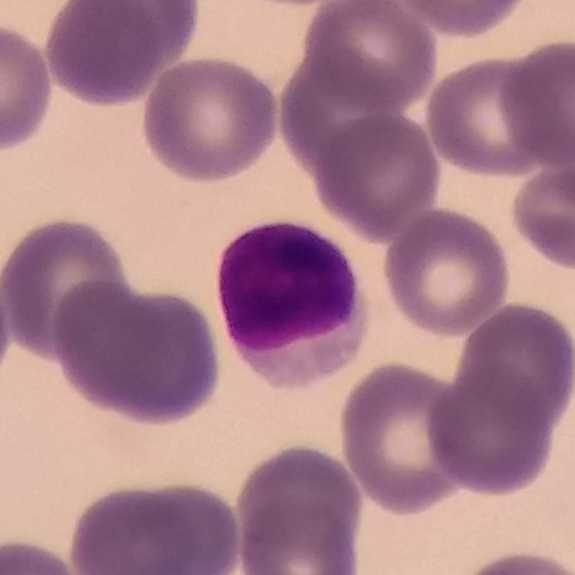
Specimen: peripheral blood smear.
Cell type: lymphocyte.